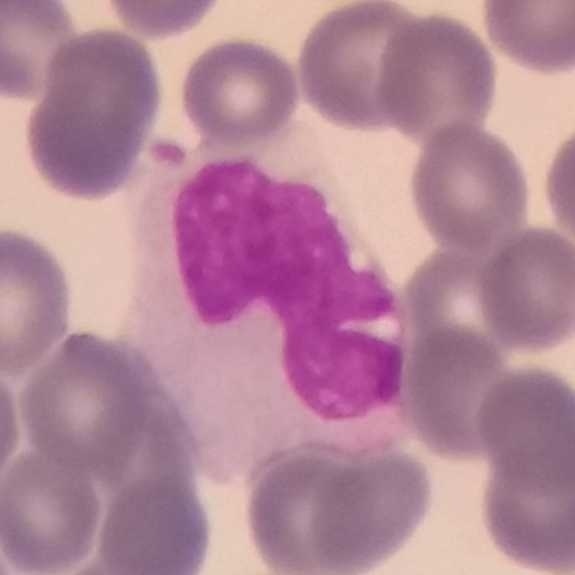 100× magnification · peripheral blood smear.
Q: Classify this leukocyte.
A: This is a monocyte.